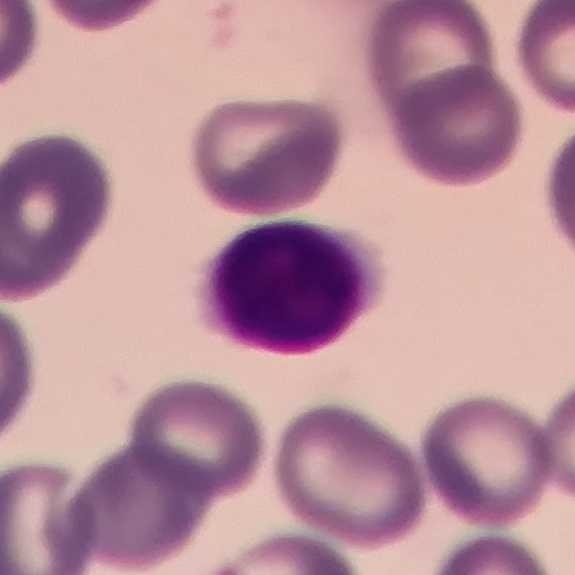
Peripheral blood smear.

Lymphocyte.